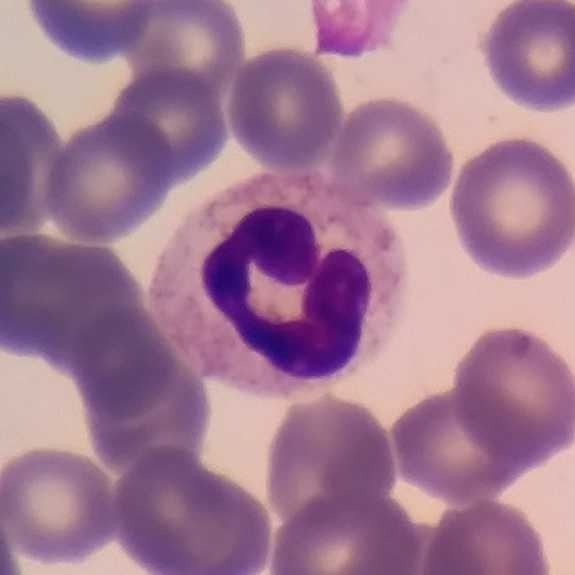
Morphological class — neutrophilic granulocyte.

Peripheral blood smear · single-cell field.